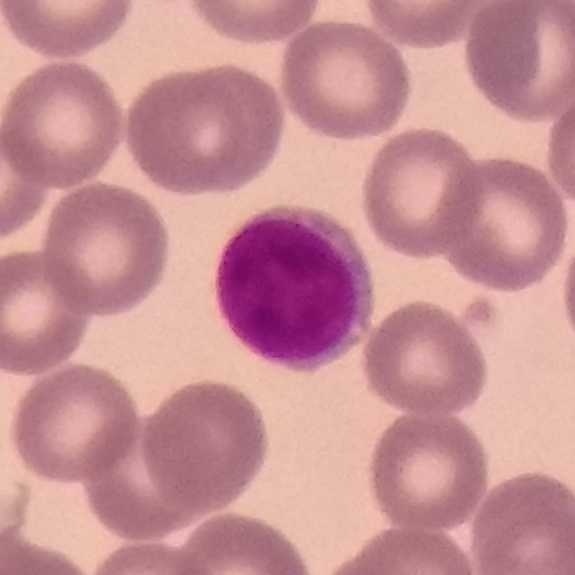The morphological class is lymphocyte.